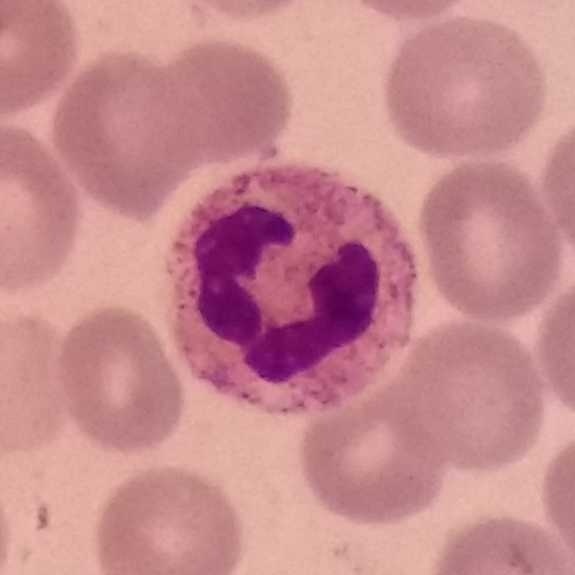
Impression — neutrophilic granulocyte.